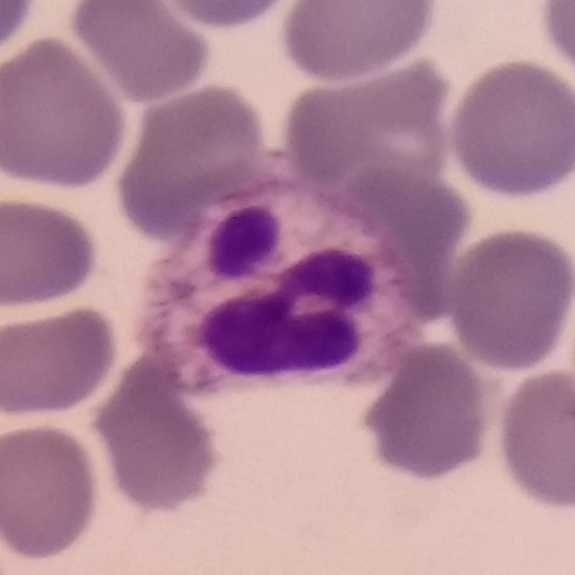 Q: What cell is this?
A: It is a neutrophil granulocyte.
Acquisition: Peripheral blood film. Stained with Giemsa. Single-cell crop.